Stained with Giemsa; peripheral blood film: 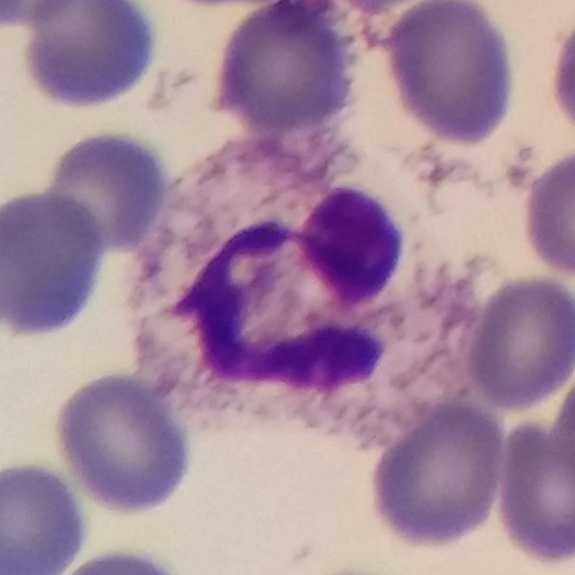 Specimen: peripheral blood smear.
Cell: neutrophilic granulocyte.
Lineage: myeloid.